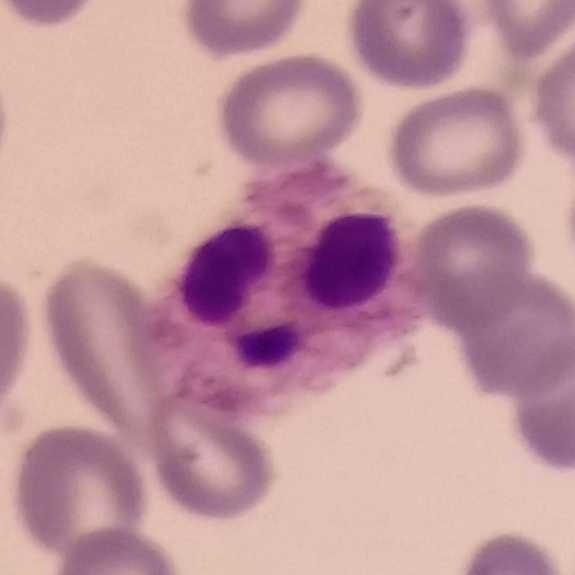

The white blood cell type is neutrophil.